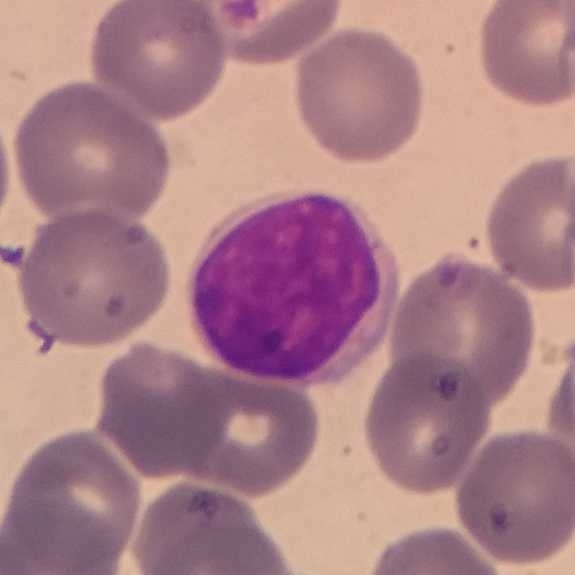 Morphology → lymphocyte.
Peripheral blood smear.